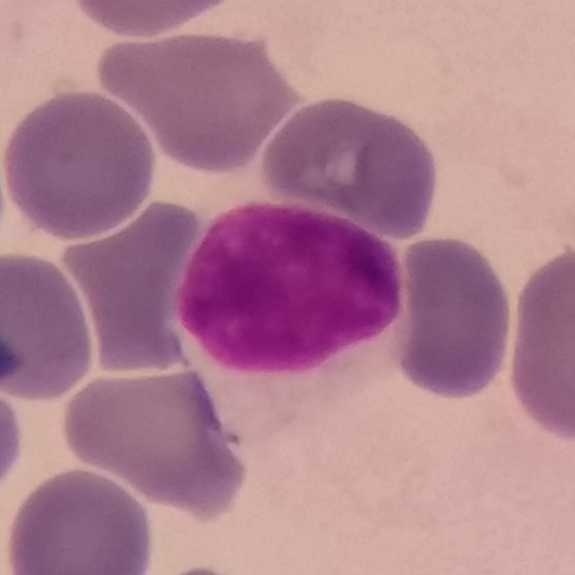

Single white blood cell cropped from the smear photograph · peripheral blood smear · smartphone photomicrograph.
This is a lymphocyte.